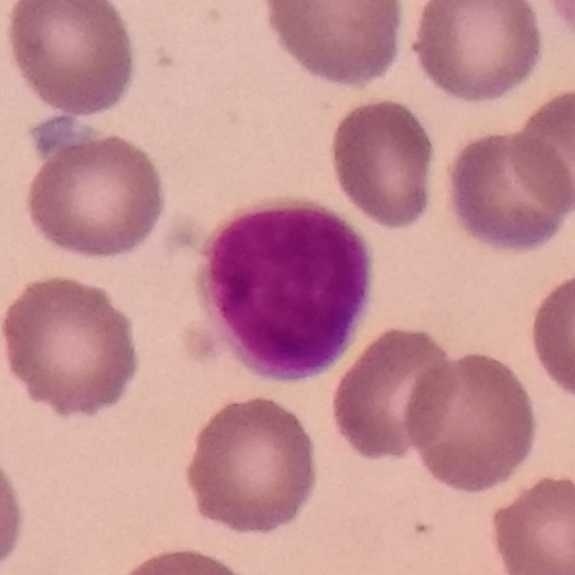

Preparation: Peripheral blood film; imaged at 100×; smartphone camera mounted on the microscope eyepiece. The cell type is lymphocyte.